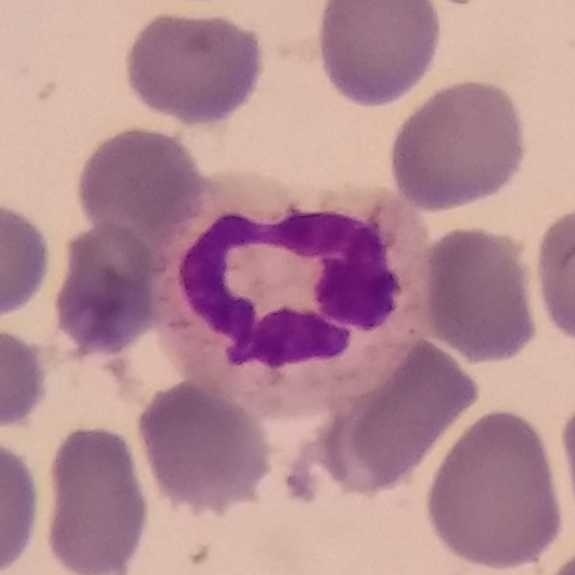
Specimen: peripheral blood film.
White blood cell type: neutrophil granulocyte.
Lineage: myeloid.